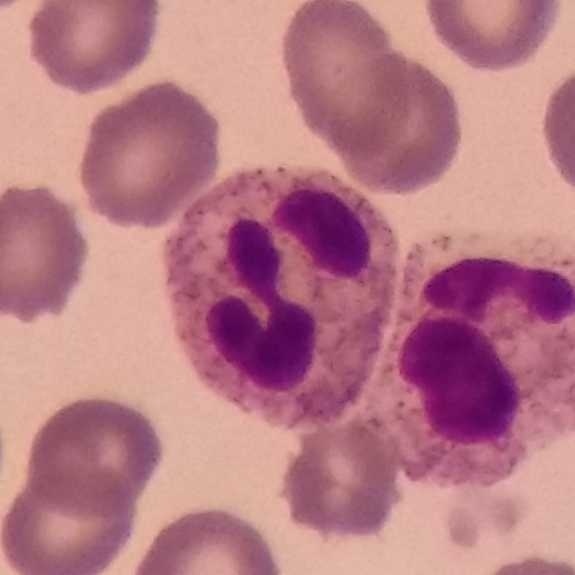
Specimen: peripheral blood smear.
Cell type: neutrophilic granulocyte.